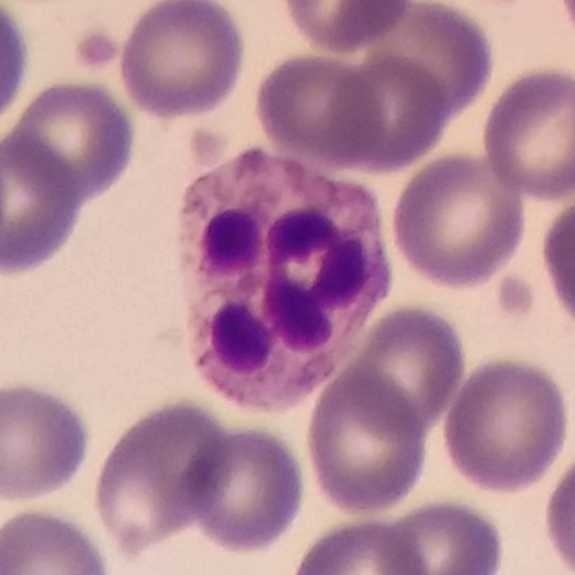 {"cell_type": "neutrophilic granulocyte", "lineage": "myeloid"}

Image: Peripheral blood film.